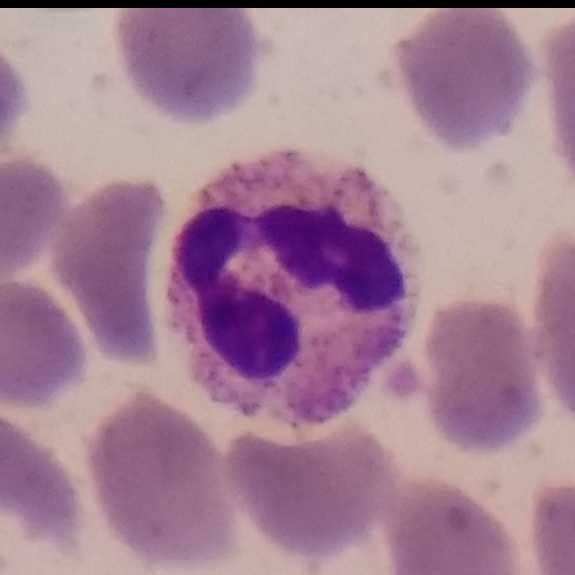

Morphology — neutrophil granulocyte.